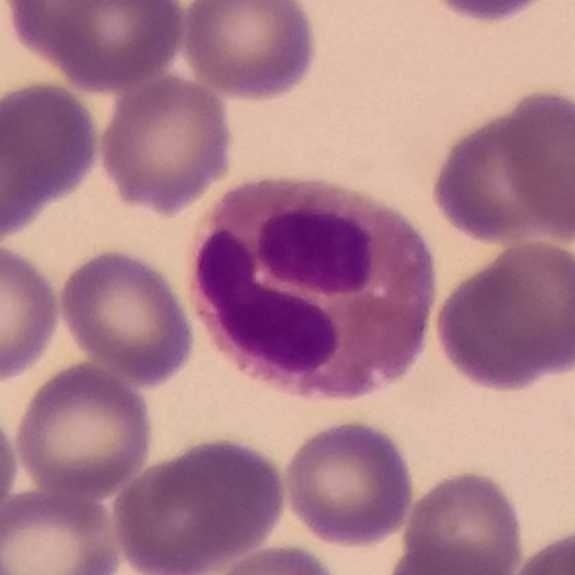

White blood cell from a peripheral blood smear: eosinophil.